Peripheral blood smear · phone-camera image taken through the microscope ocular.
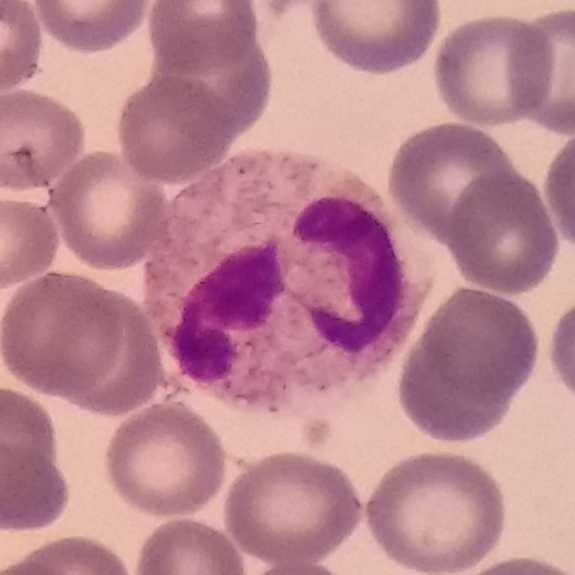

Q: What is the morphological classification of this cell?
A: A neutrophil.